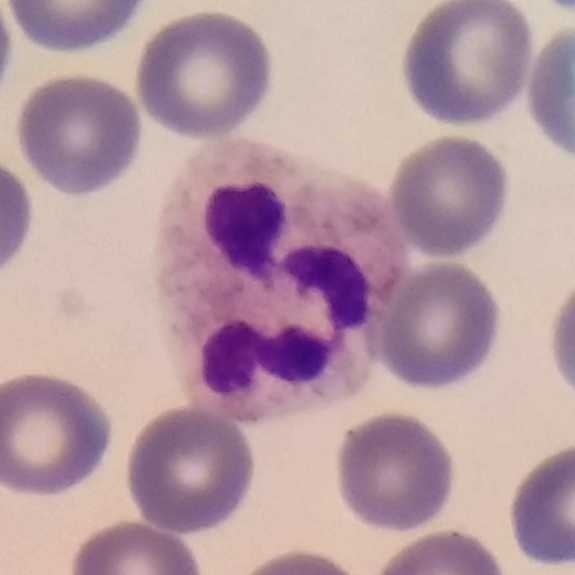 Q: Classify this leukocyte.
A: A neutrophilic granulocyte. Context: Peripheral blood smear. Single-cell crop. Smartphone camera mounted on the microscope eyepiece.